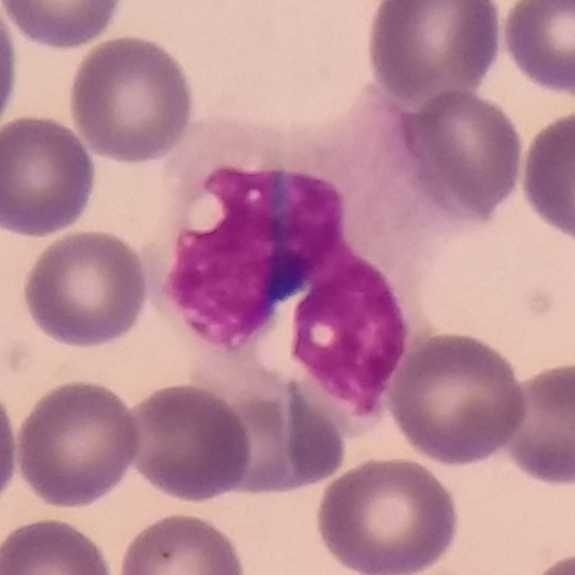
The cell type is monocyte.